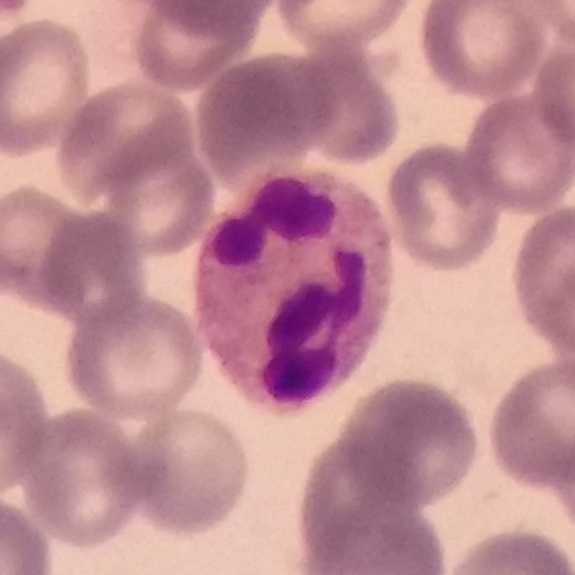100× magnification · stained with Giemsa.
Specimen: peripheral blood film.
Cell type: neutrophil granulocyte.
Lineage: myeloid.